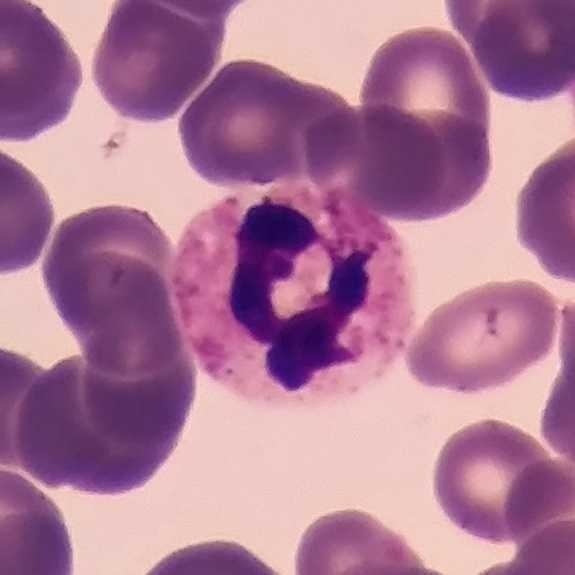

Image: Peripheral blood film · phone-camera image taken through the microscope ocular.

Morphology → neutrophil.